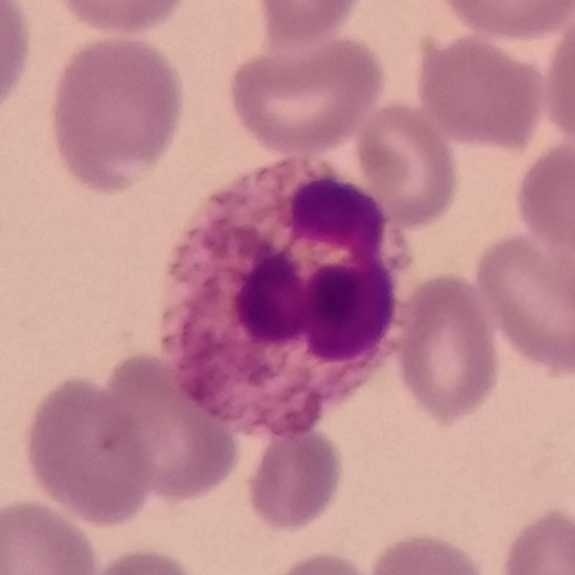 The cell shown is a neutrophilic granulocyte.

Peripheral blood smear · image size 575×575.